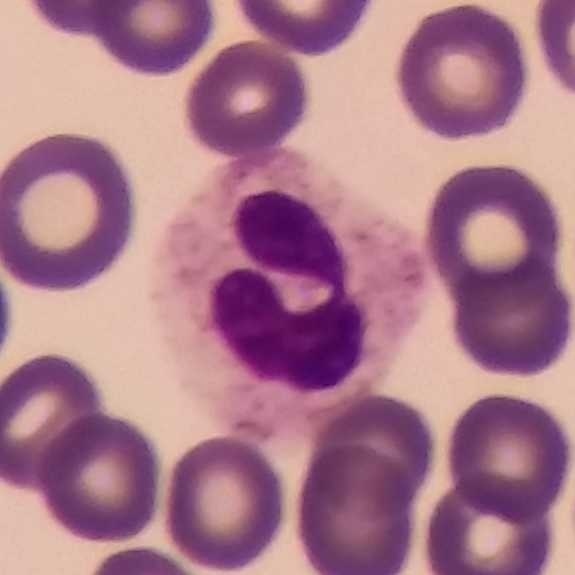
Specimen: peripheral blood smear.
Cell type: neutrophil.